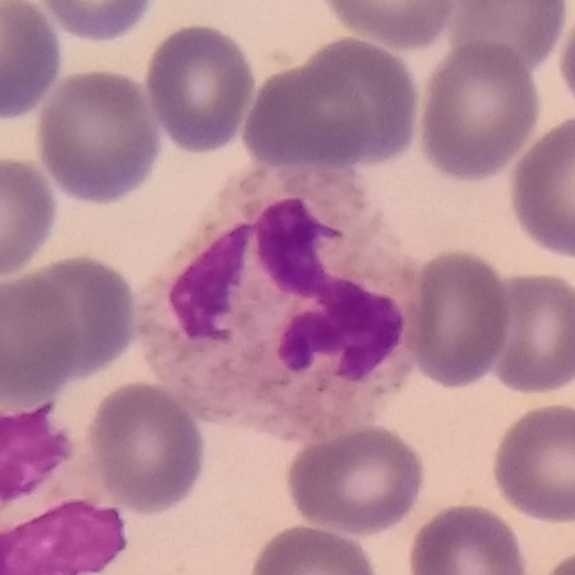
Acquisition: Smartphone camera mounted on the microscope eyepiece · 575×575 px · peripheral blood smear.

Neutrophilic granulocyte.